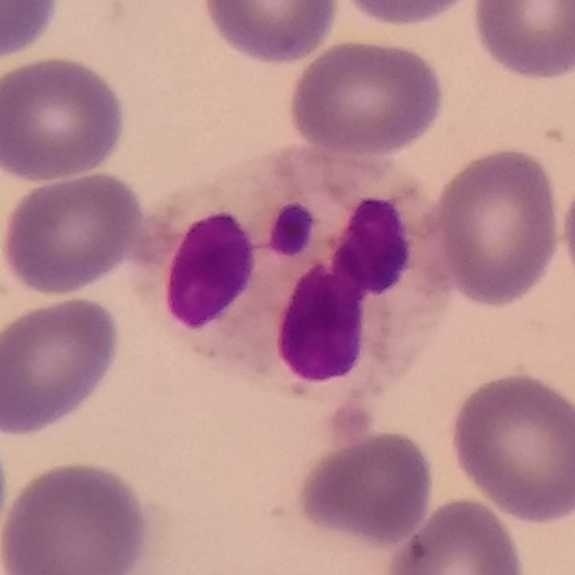 Image: Peripheral blood film. A neutrophil granulocyte.